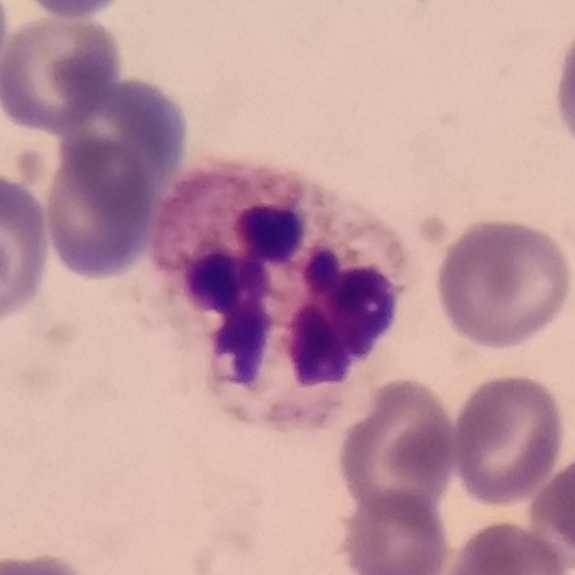 Q: What type of cell is this?
A: A neutrophil.
Peripheral blood film.